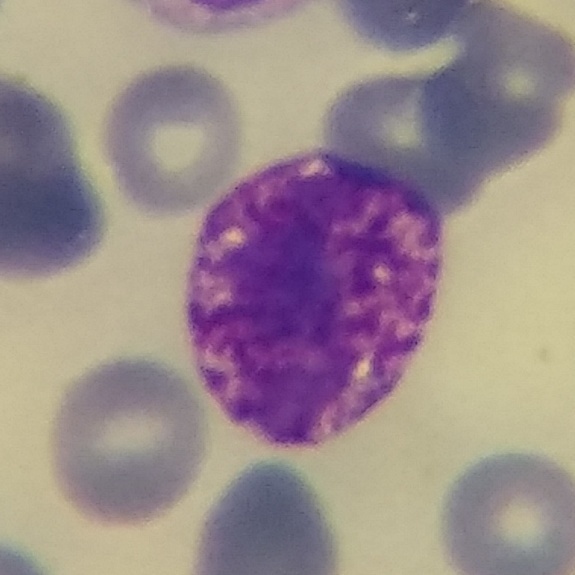 Single cell identified as a basophilic granulocyte.

Context: Peripheral blood smear · imaged at 100×.